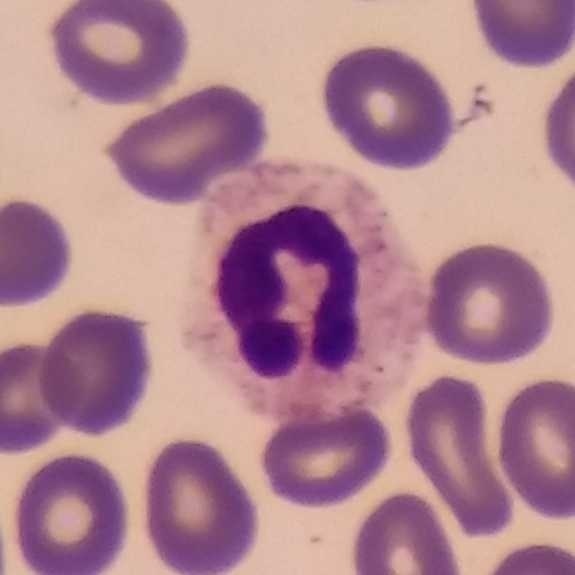

Peripheral blood film. Phone-camera image taken through the microscope ocular. Classification — neutrophil granulocyte.